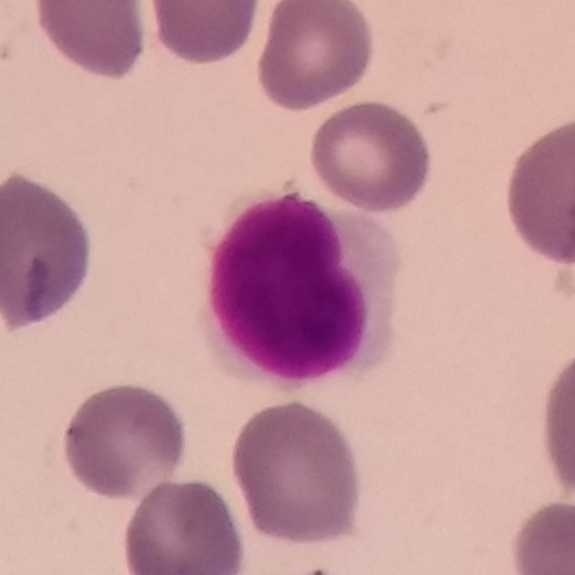

From a peripheral blood smear: a lymphocyte.